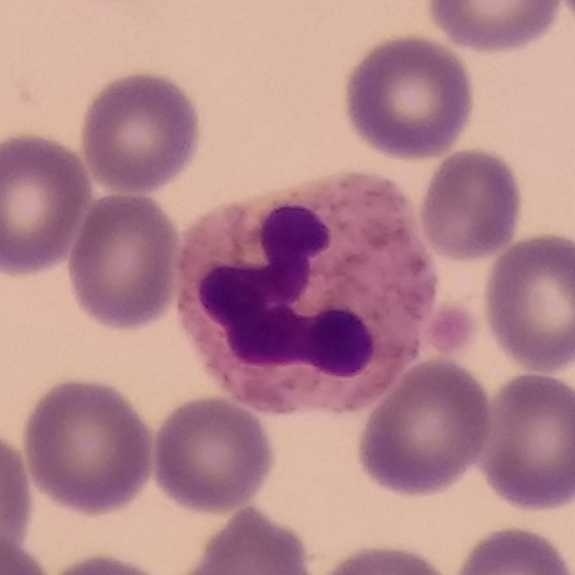 Identified as a neutrophil granulocyte.

Context: Peripheral blood film.